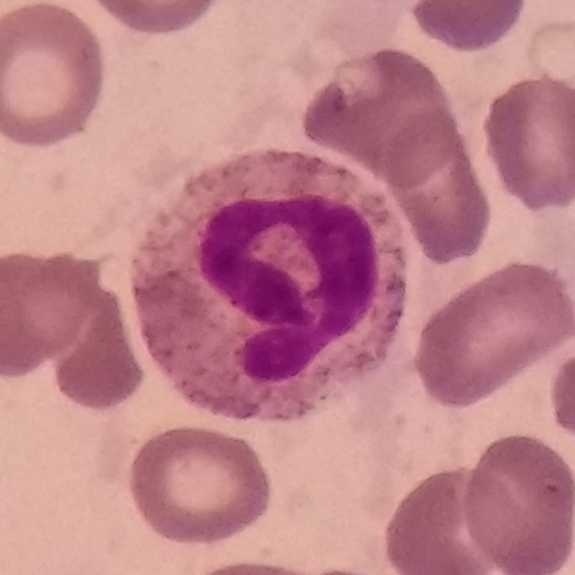 Impression — neutrophilic granulocyte.
Preparation: Peripheral blood film.